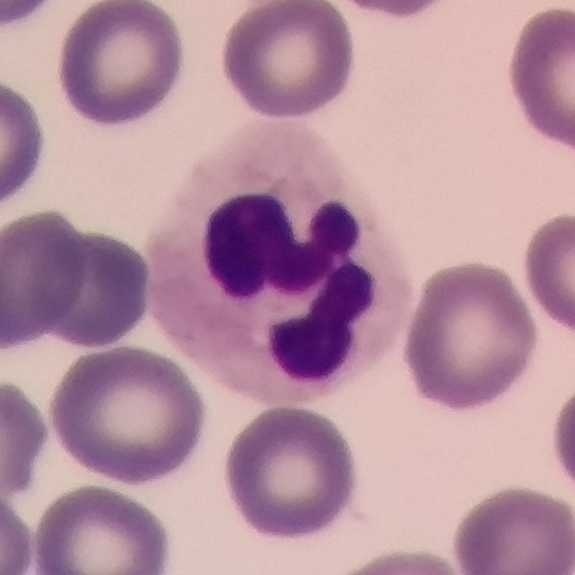 Q: Classify this leukocyte.
A: A neutrophil.
Preparation: Peripheral blood film.